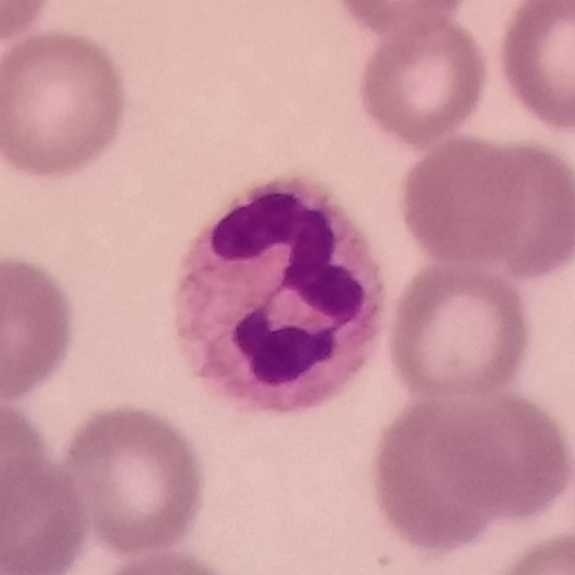
Preparation: Peripheral blood smear.
Cell type: neutrophilic granulocyte.